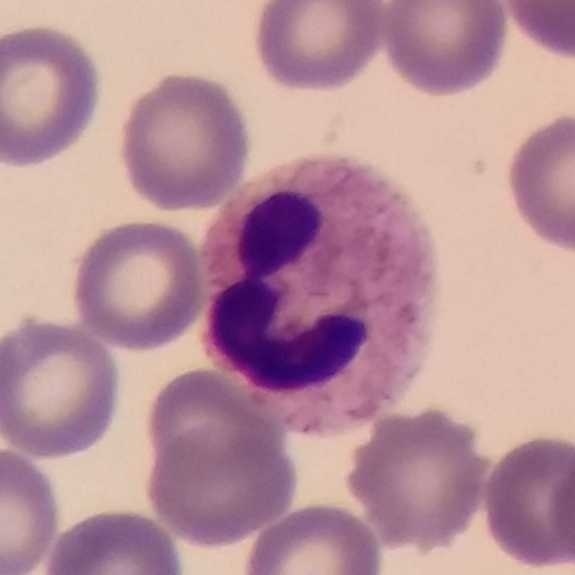Peripheral blood smear showing a neutrophil granulocyte.